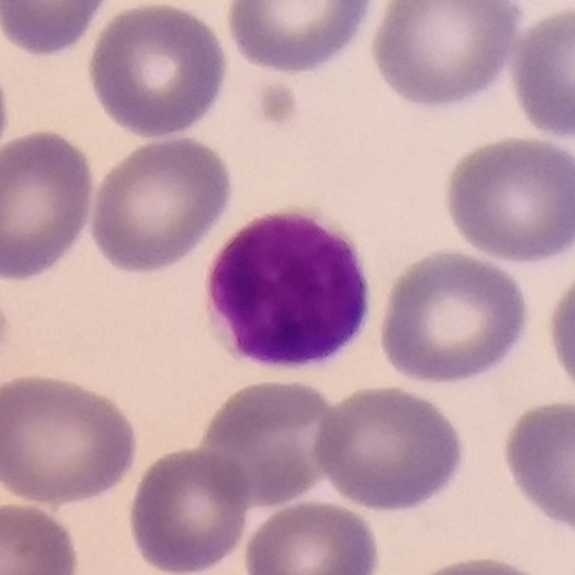
Cell type = lymphocyte. Peripheral blood film.